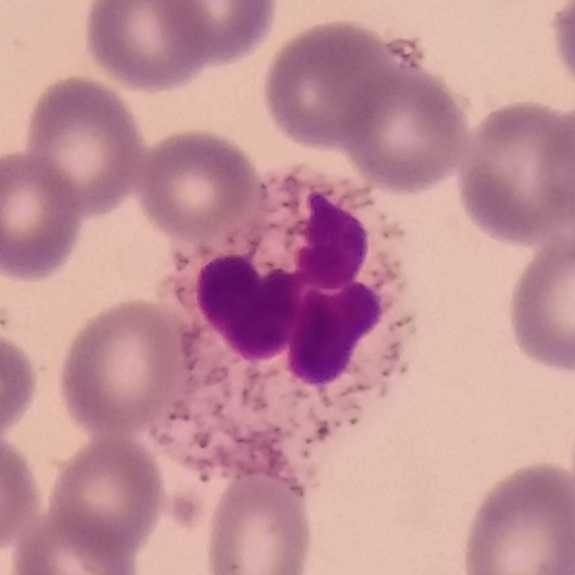White blood cell type — neutrophilic granulocyte.
Context: Peripheral blood smear.